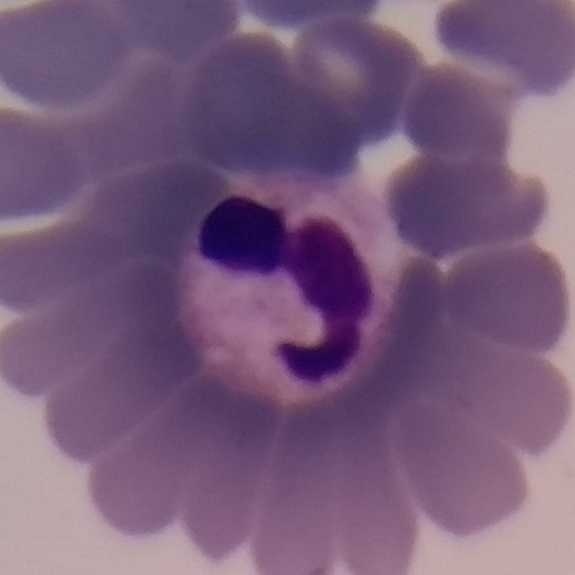

Q: What cell is this?
A: This is a neutrophilic granulocyte. Context: Peripheral blood smear.